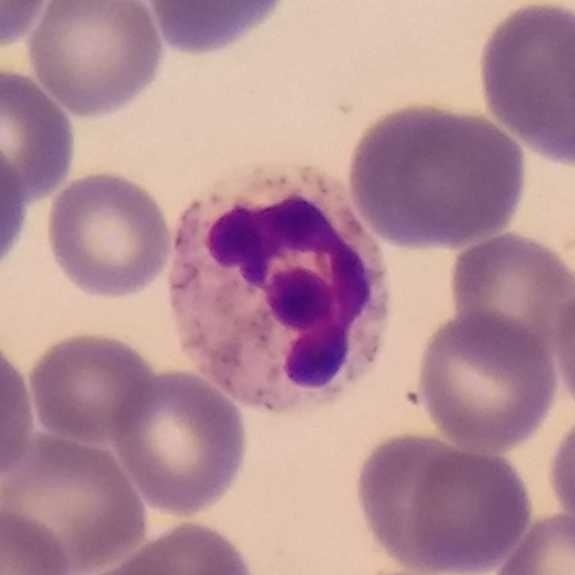Q: Which cell type is shown here?
A: Neutrophil.